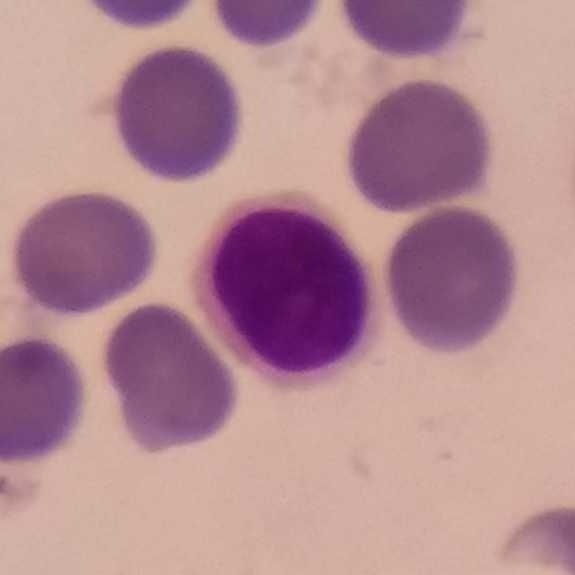 Image: Peripheral blood film; imaged at 100×.
The white blood cell in this image is a lymphocyte.